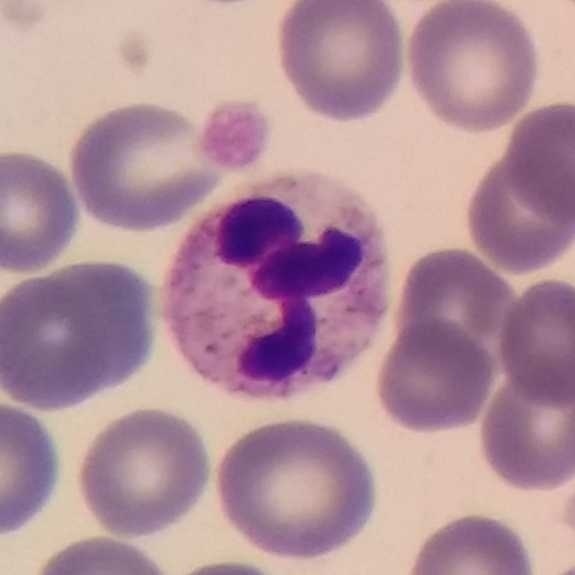Image: Peripheral blood smear. Cropped to one leukocyte. Imaged at 100×.

Impression → neutrophil granulocyte.